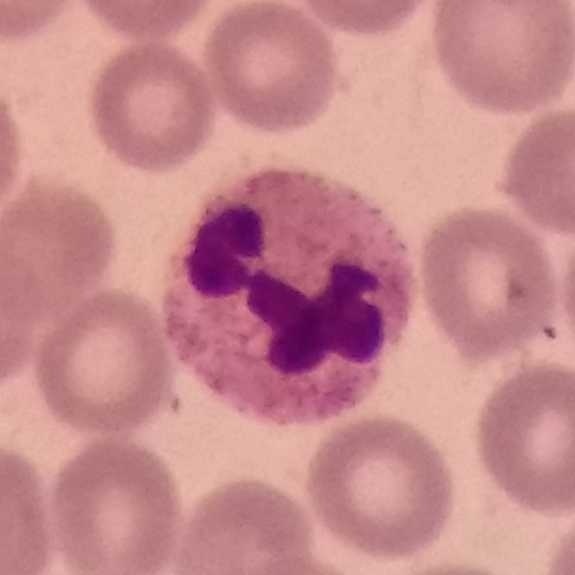
A neutrophil.

Context: Giemsa stain. Peripheral blood film. Magnification 100×.